Smartphone photomicrograph · peripheral blood smear
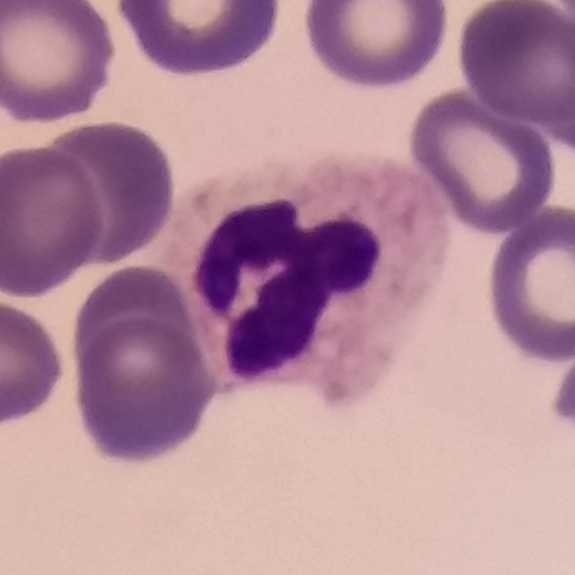

A neutrophil granulocyte.